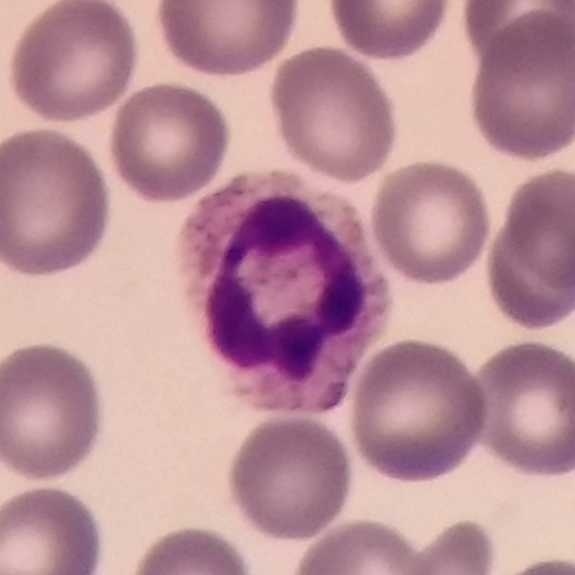
Single cell identified as a neutrophil granulocyte. Photographed through a light microscope with a smartphone camera. Peripheral blood film. 575×575.